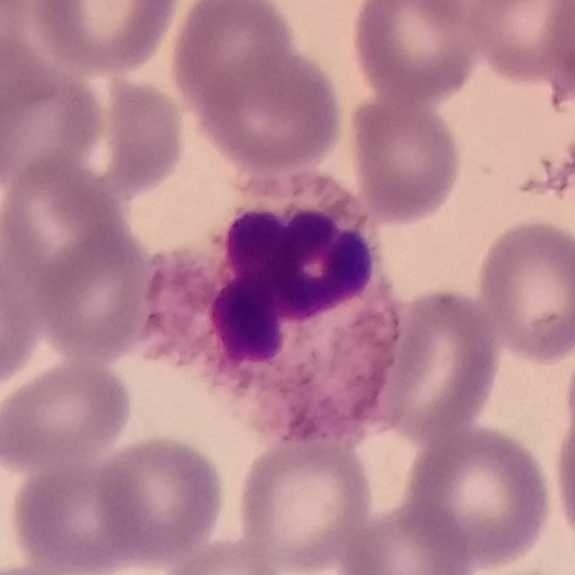Specimen: peripheral blood smear.
Classification: neutrophil.
Lineage: myeloid.